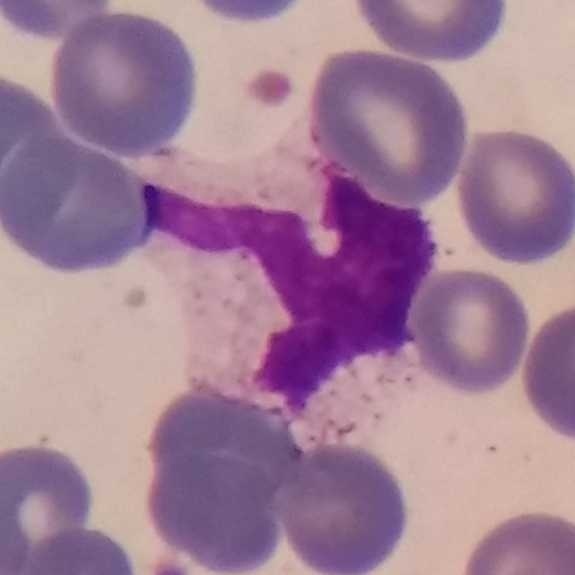White blood cell type — neutrophil granulocyte.